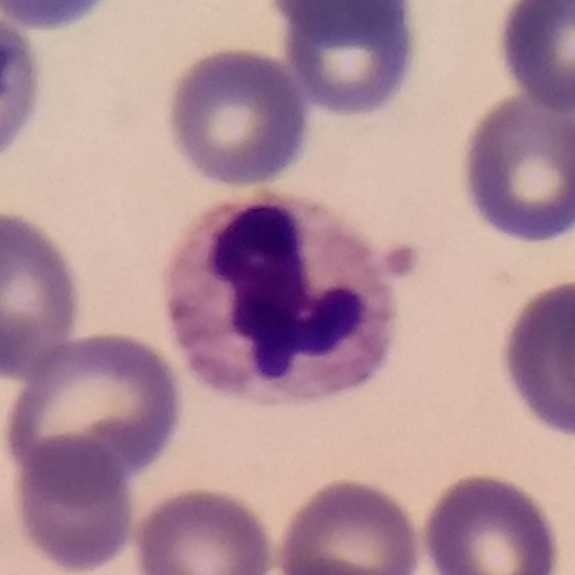
Q: What is the morphological classification of this cell?
A: Neutrophil granulocyte.